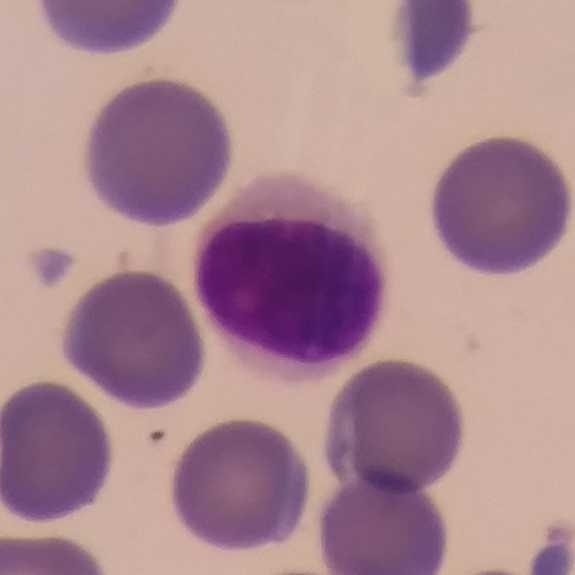 White blood cell type: lymphocyte.

Preparation: Imaged at 100× · peripheral blood film.